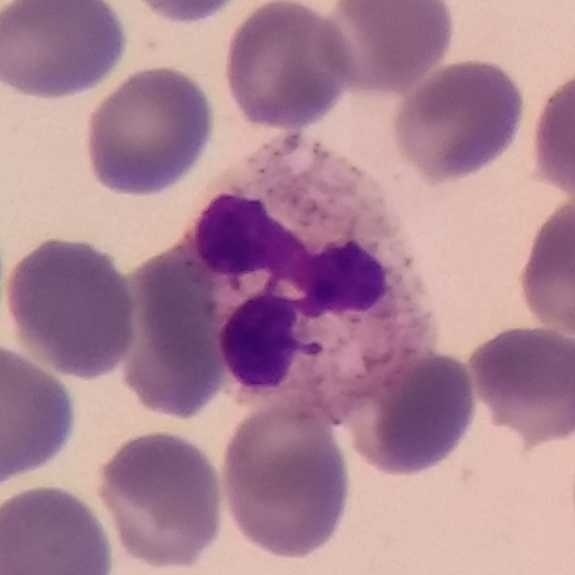Showing a neutrophil granulocyte. Image: Cropped to one leukocyte · peripheral blood smear.